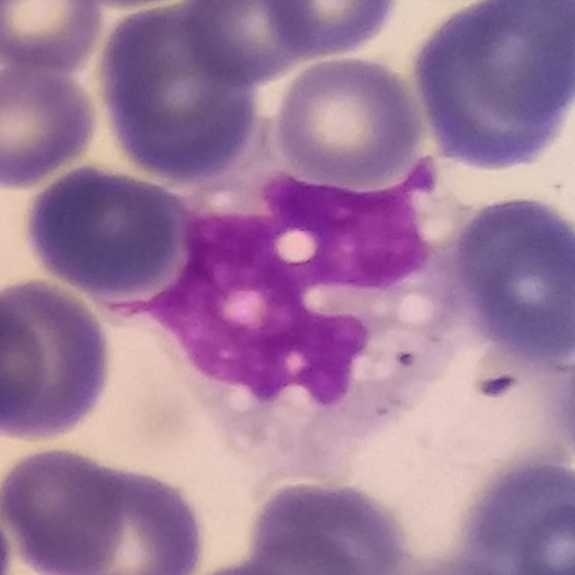 Peripheral blood smear.

Morphology — monocyte.